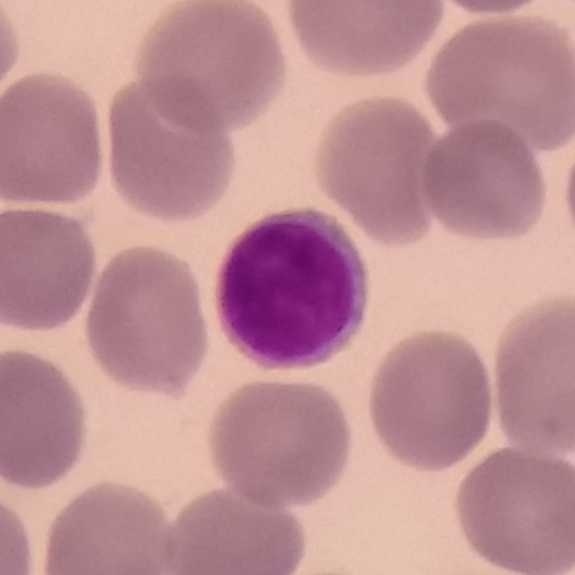 Morphological class — lymphocyte.

Peripheral blood smear.